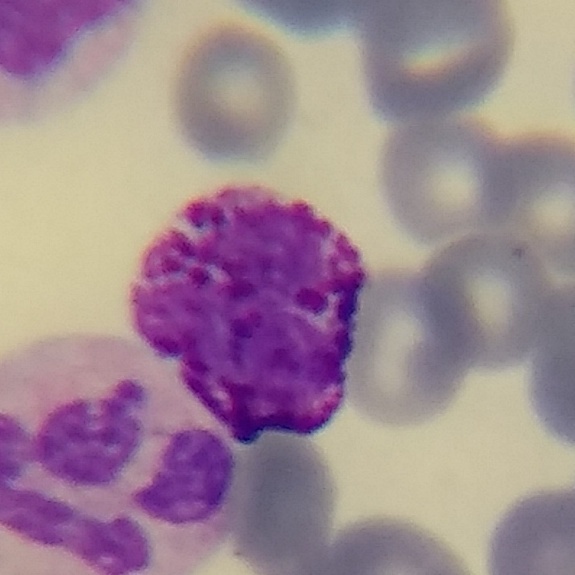 Q: What cell is this?
A: Basophilic granulocyte.